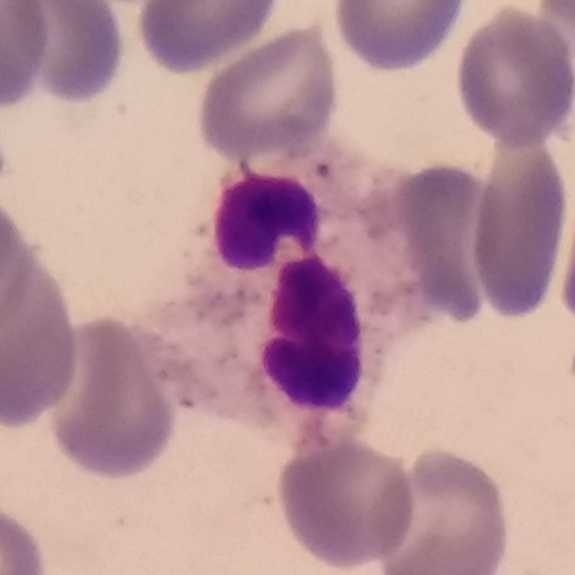 This is a neutrophil.

Image: Smartphone photomicrograph; peripheral blood smear; Giemsa-stained.